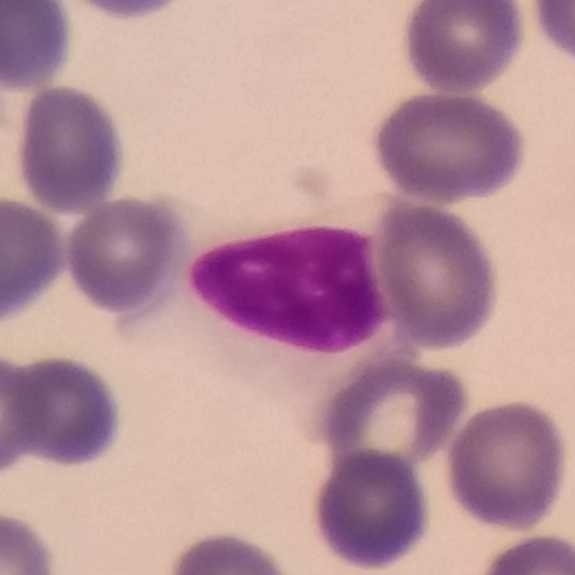 The white blood cell in this image is a lymphocyte.